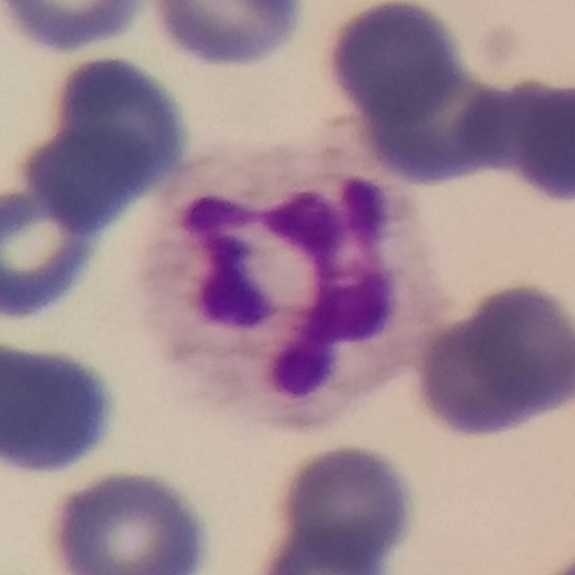{"cell_type": "neutrophil"}